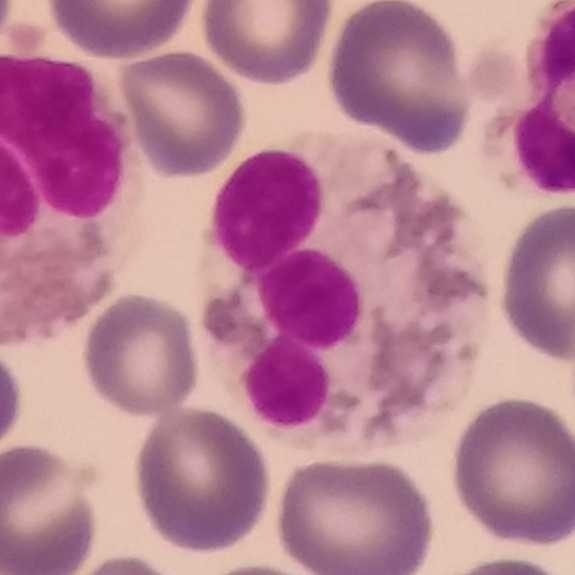{"cell_type": "eosinophilic granulocyte"}